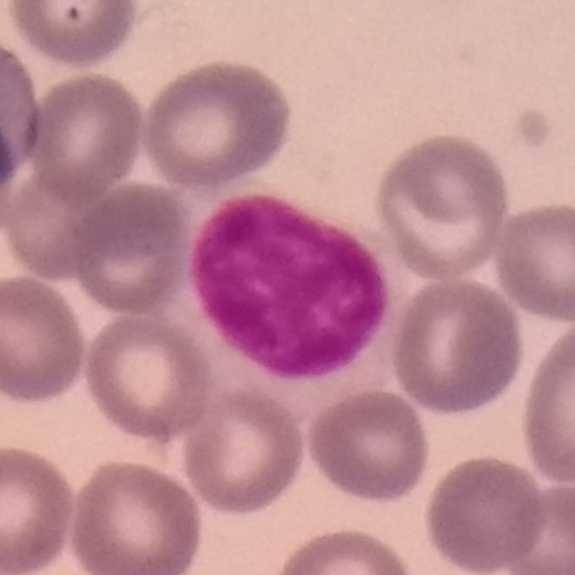 Impression — lymphocyte. Peripheral blood smear.